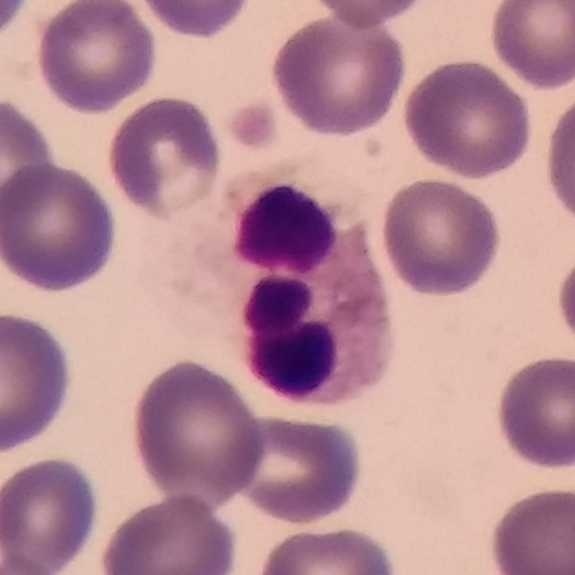
A neutrophil.

Peripheral blood film. 575 by 575 pixels. Single white blood cell cropped from the smear photograph.